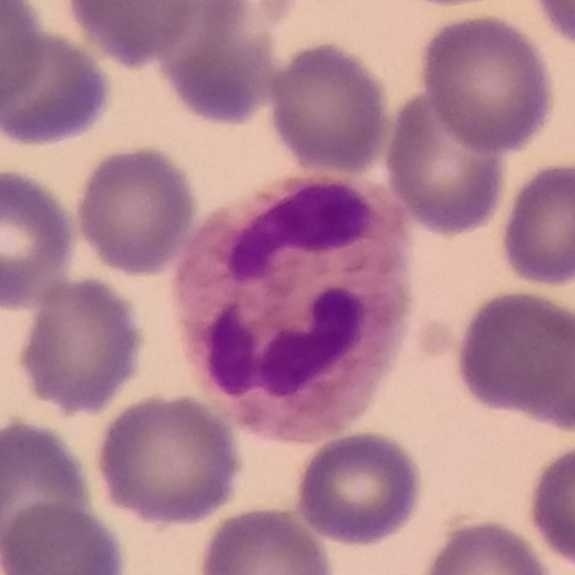

Peripheral blood film.

White blood cell type — neutrophil.